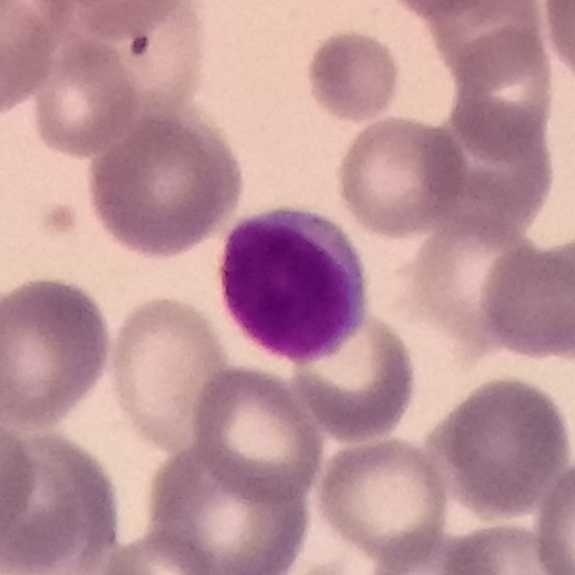
Context: Peripheral blood film · 575 by 575 pixels.
The cell shown is a lymphocyte.